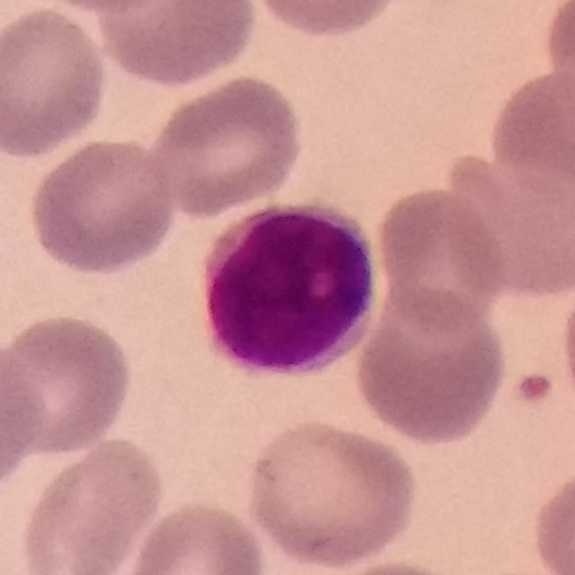

Acquisition: Peripheral blood smear. Giemsa stain.

{"cell_type": "lymphocyte", "lineage": "lymphoid"}